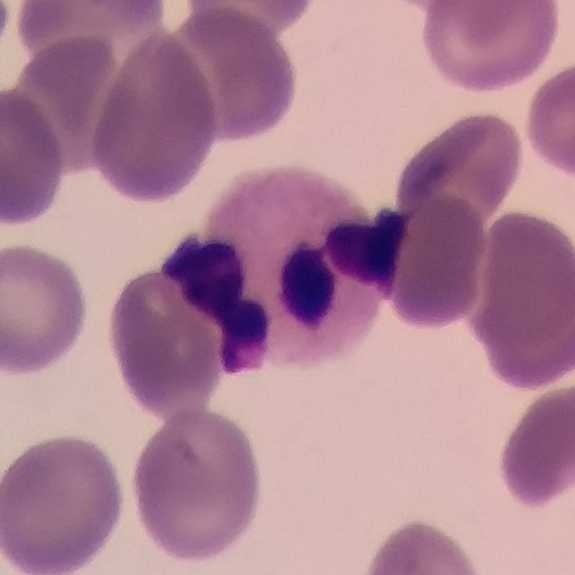
Context: Peripheral blood film. Neutrophil granulocyte.